Peripheral blood film; single white blood cell cropped from the smear photograph: 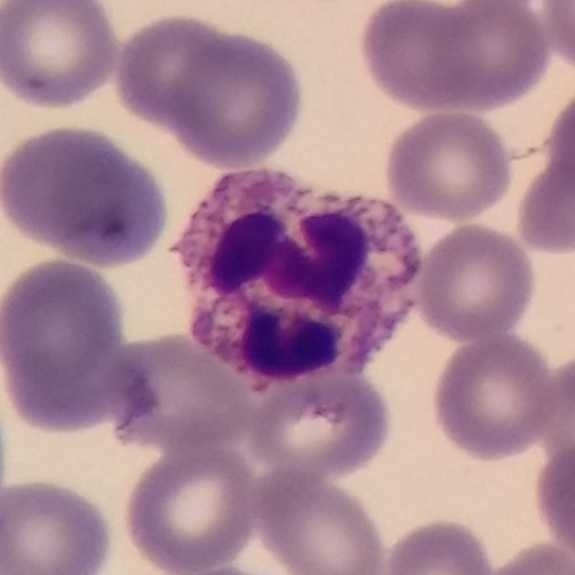Cell: neutrophil granulocyte.